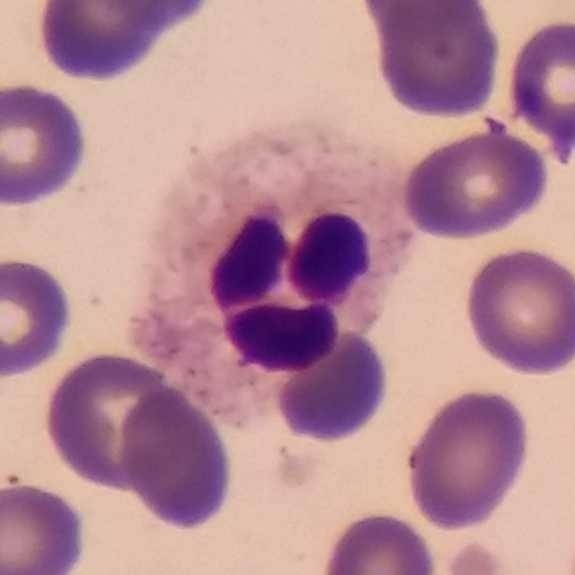Image: Peripheral blood film. Cropped to one leukocyte.

A neutrophil granulocyte.